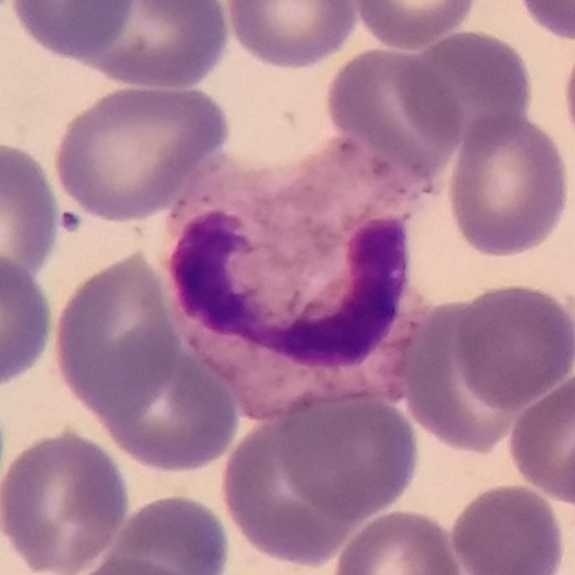Neutrophilic granulocyte.